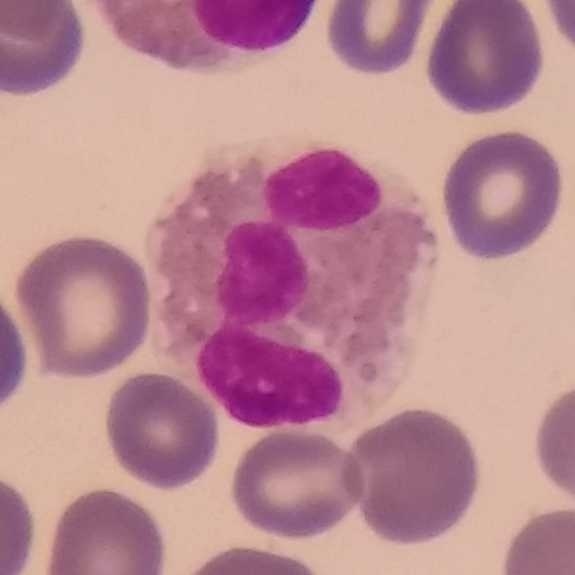Peripheral blood film.

This is an eosinophil.